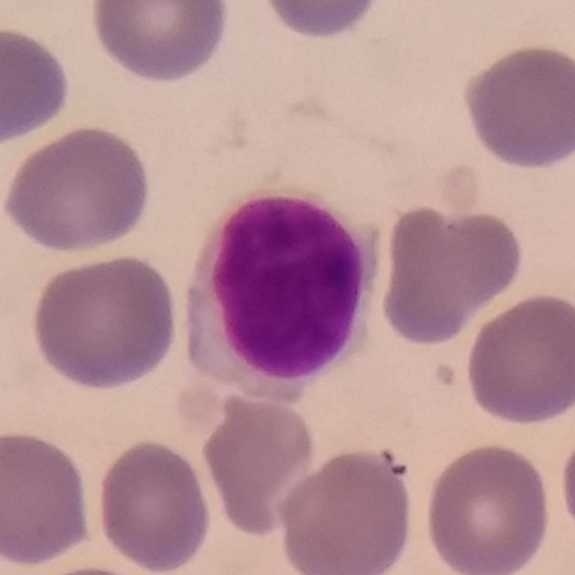The cell type is lymphocyte.